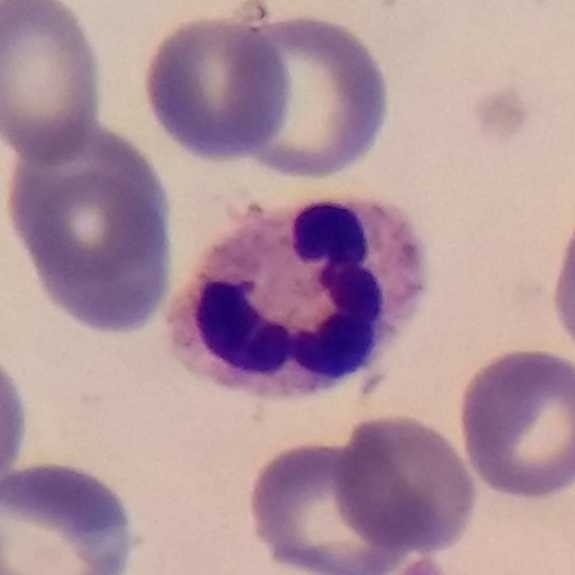 Single-cell field; peripheral blood film. Q: Classify this leukocyte.
A: A neutrophil granulocyte.